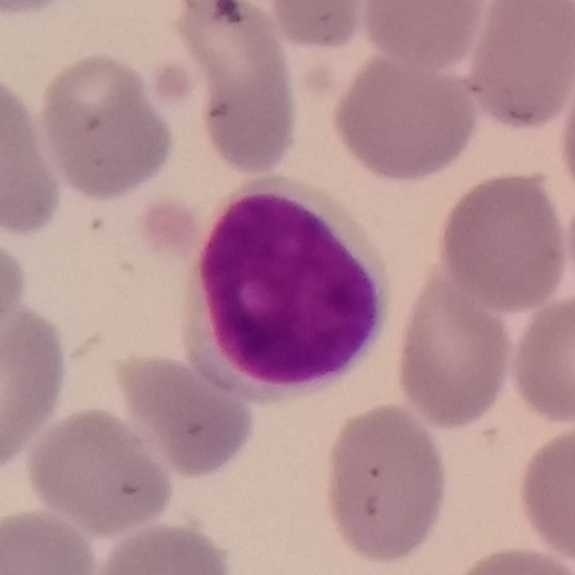 575×575 · peripheral blood film.
Q: Identify the cell.
A: Lymphocyte.